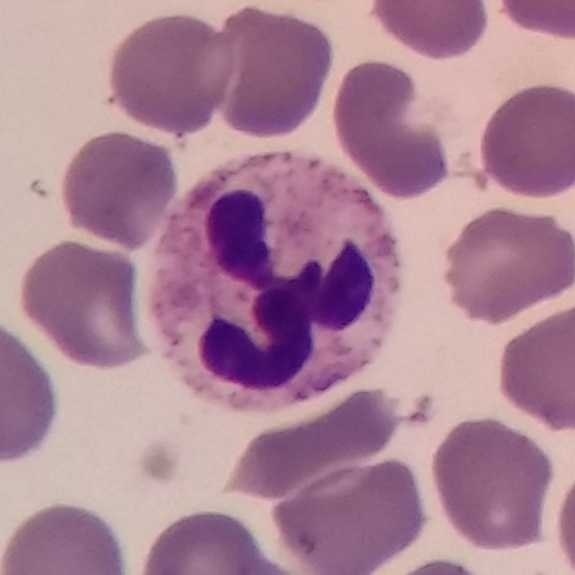

Q: Identify the cell.
A: It is a neutrophilic granulocyte.
Peripheral blood film · phone-camera image taken through the microscope ocular · single-cell field.